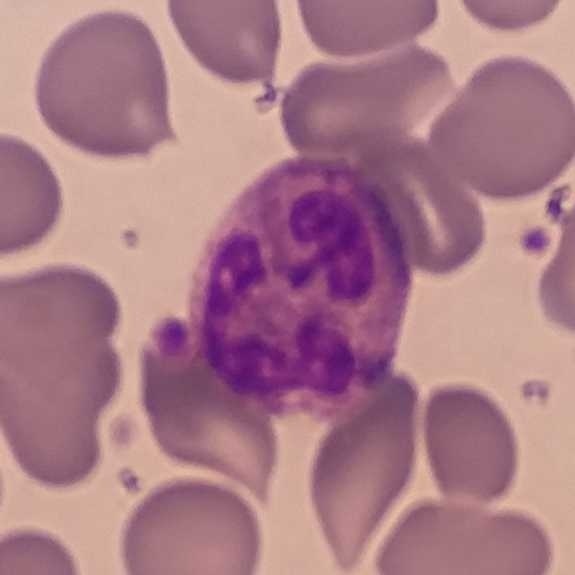The cell shown is a neutrophil.

Acquisition: Peripheral blood smear.